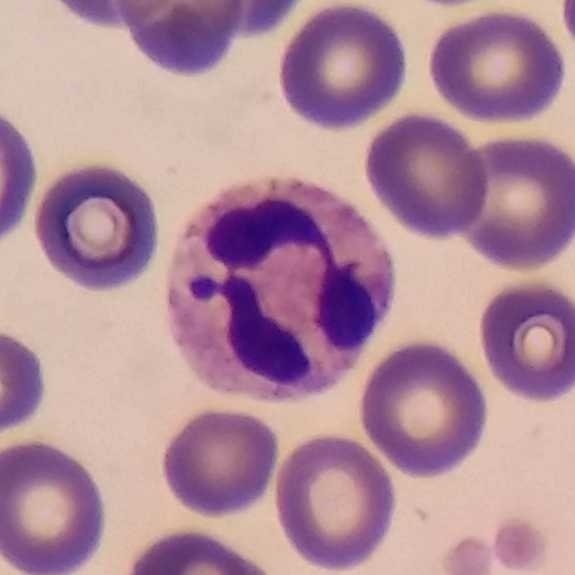 Peripheral blood film.

Cell type: neutrophil.